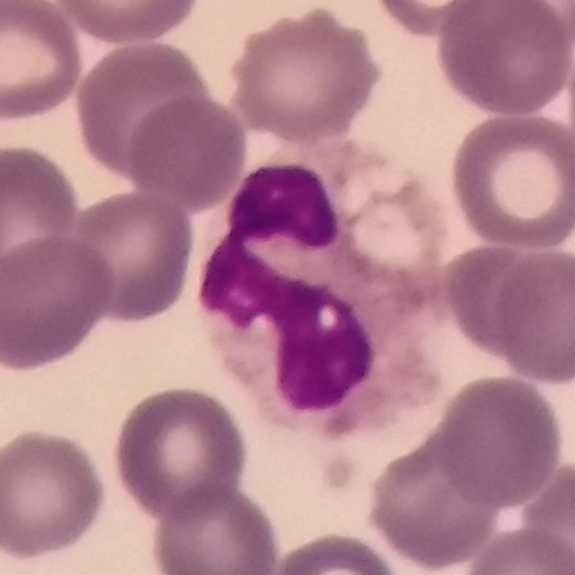
The cell is neutrophilic granulocyte.
Context: Peripheral blood smear; magnification 100×; phone-camera image taken through the microscope ocular.